Peripheral blood smear:
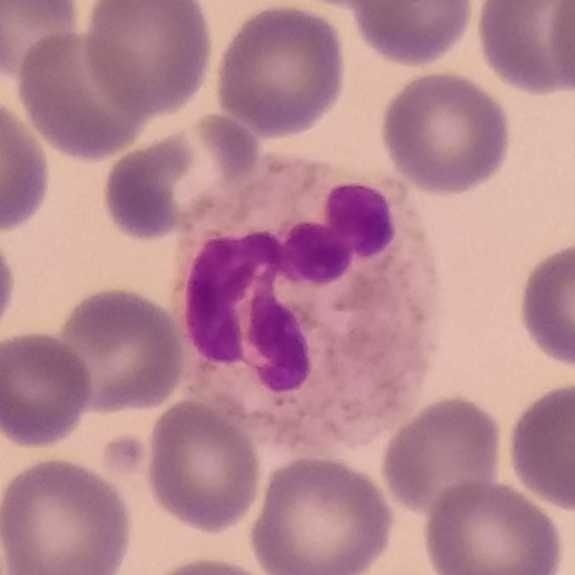The classification is neutrophilic granulocyte.